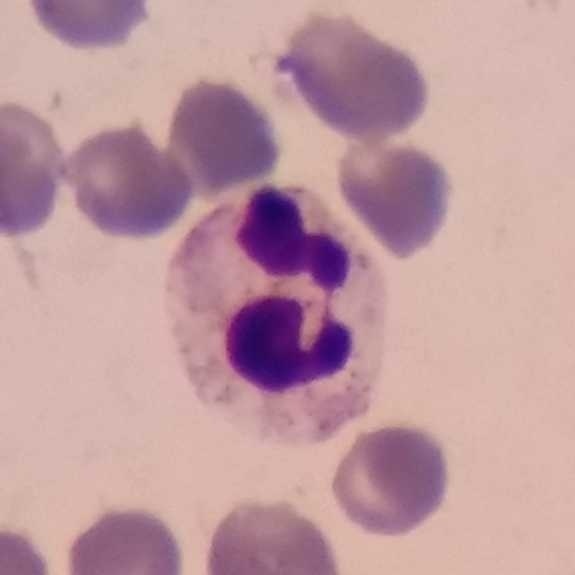 Image: Single white blood cell cropped from the smear photograph. Peripheral blood smear.
Cell type: neutrophil granulocyte.